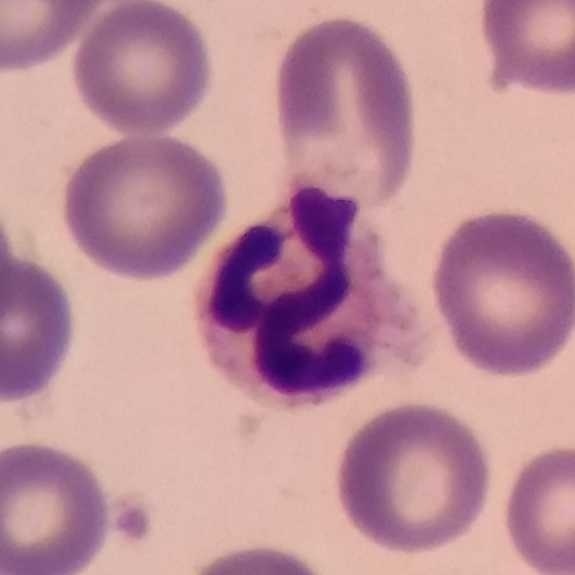 Single cell identified as a neutrophil granulocyte.
Preparation: Peripheral blood smear · single white blood cell cropped from the smear photograph.